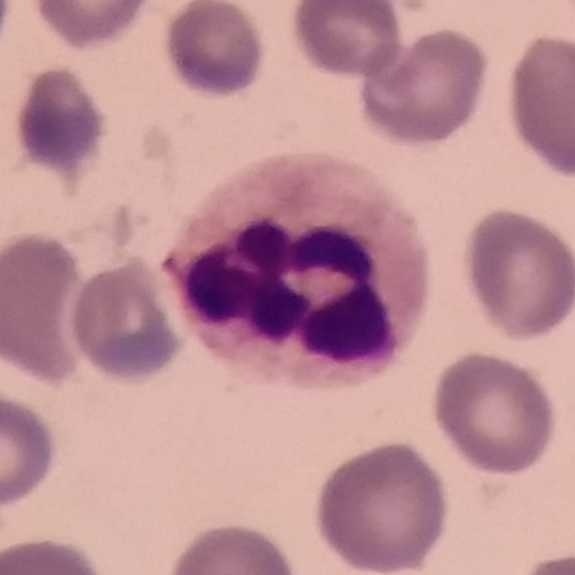White blood cell type = neutrophil.